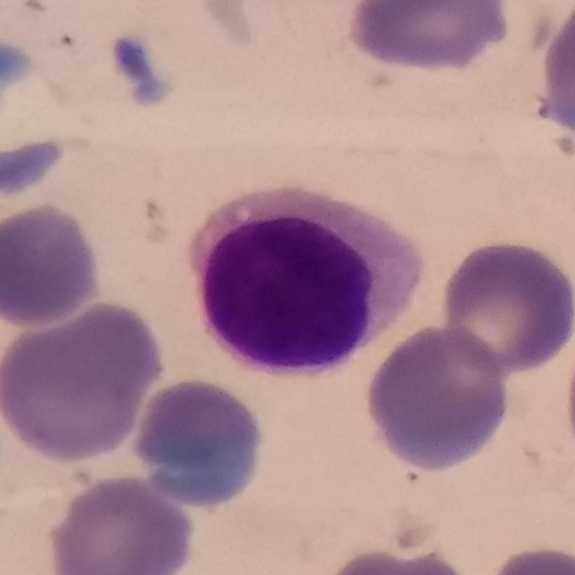 Imaged at 100×. Peripheral blood film.
Single cell identified as a lymphocyte.